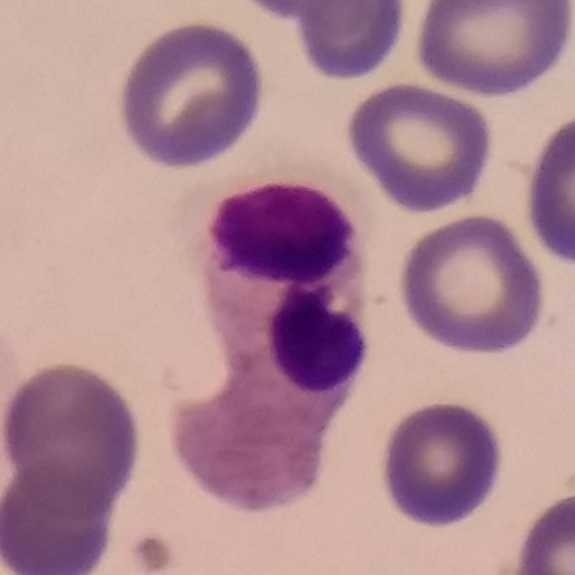Q: What cell is this?
A: This is a neutrophil.
Acquisition: Giemsa stain. Image size 575×575. Peripheral blood film.